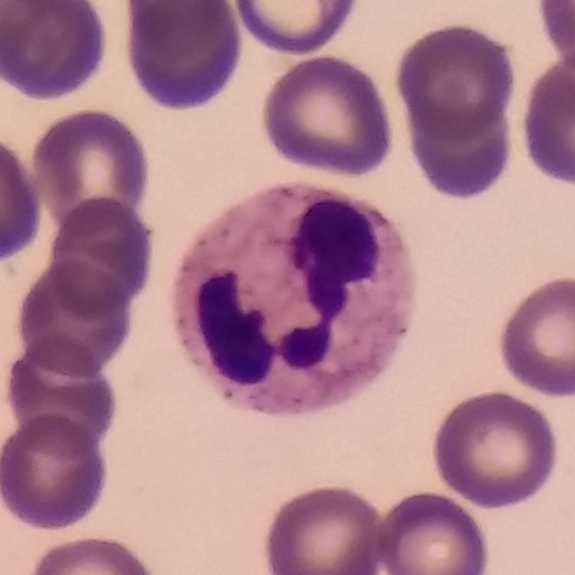 Acquisition: Peripheral blood film · imaged at 100×.

The cell shown is a neutrophil granulocyte.